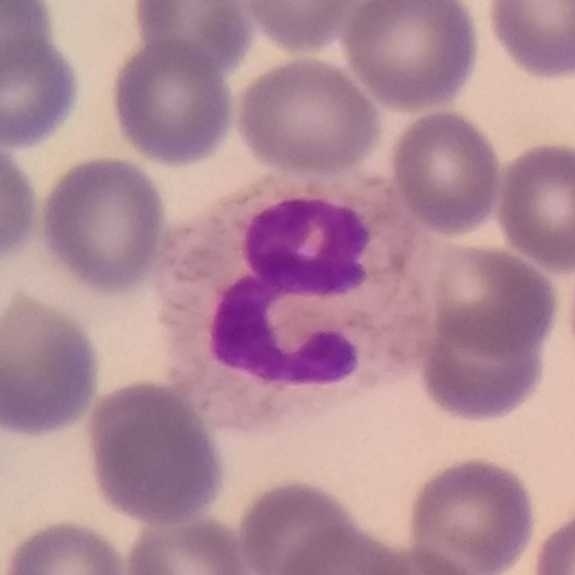
The cell is neutrophil.